Peripheral blood film:
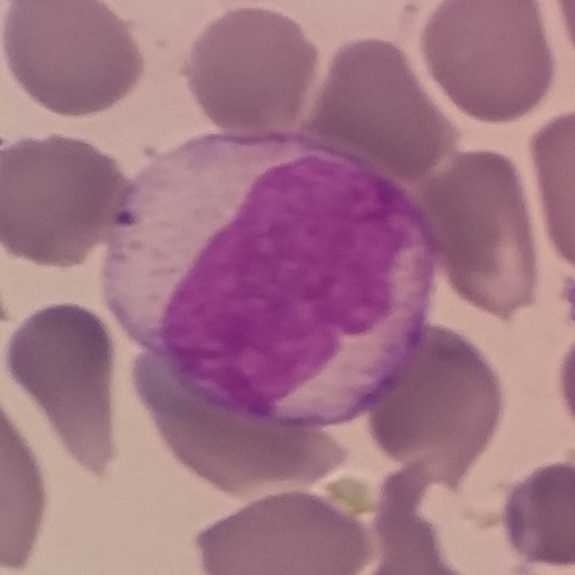 The cell type is monocyte.